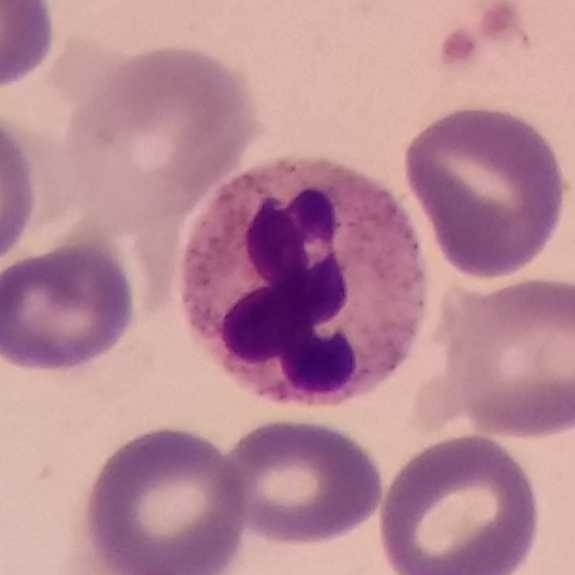Peripheral blood film. Impression → neutrophil granulocyte.